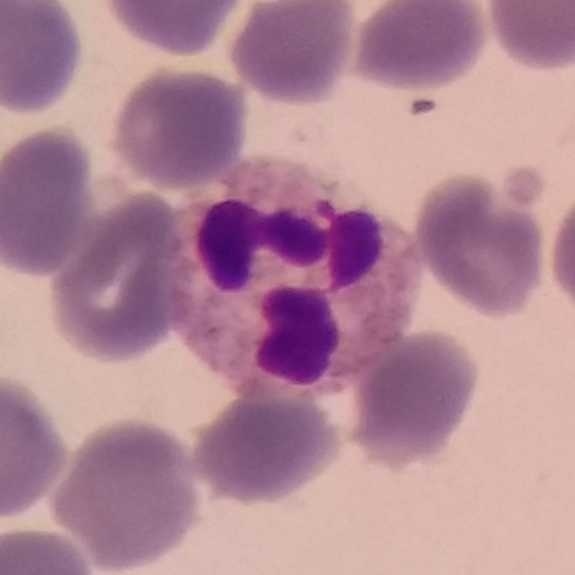Q: What cell is this?
A: This is a neutrophil.

Peripheral blood film.